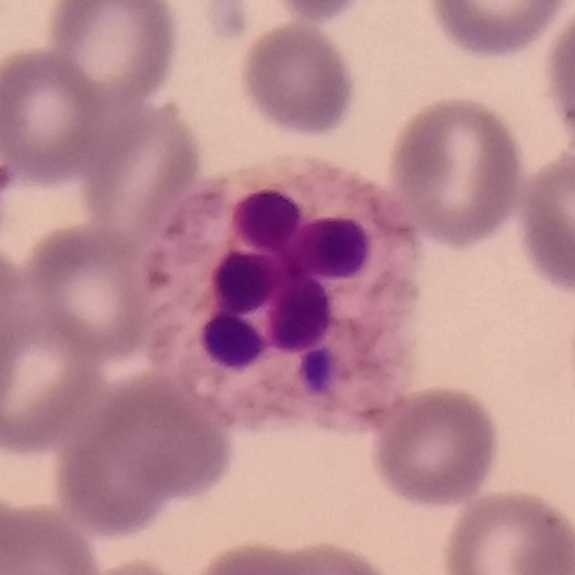Peripheral blood smear. Morphological class = neutrophil granulocyte.